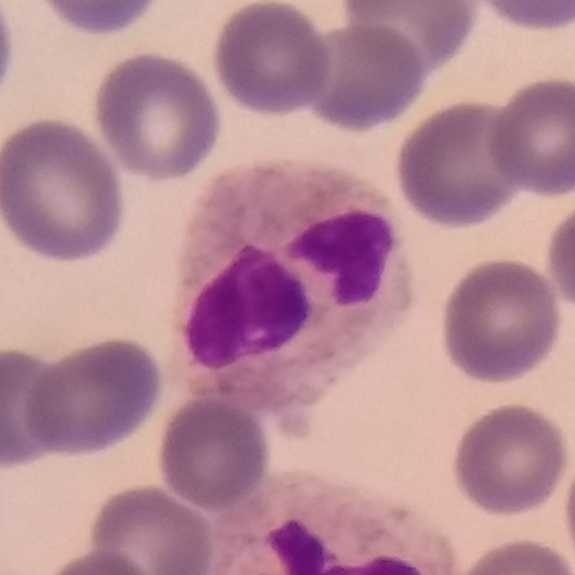 Peripheral blood film.
Impression → neutrophil.